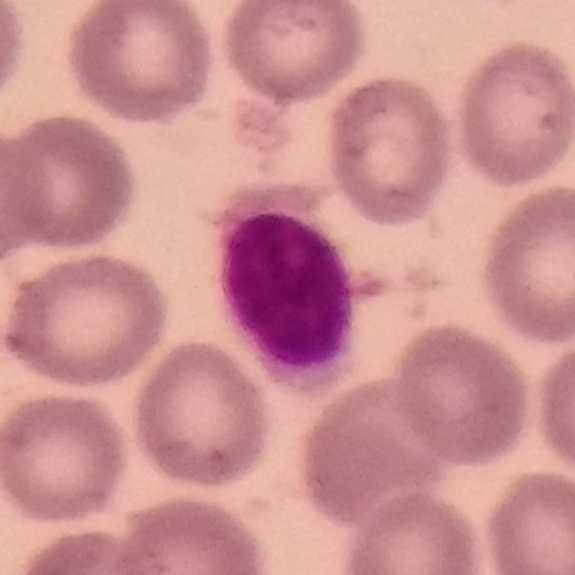
Cell type: lymphocyte.